Peripheral blood film
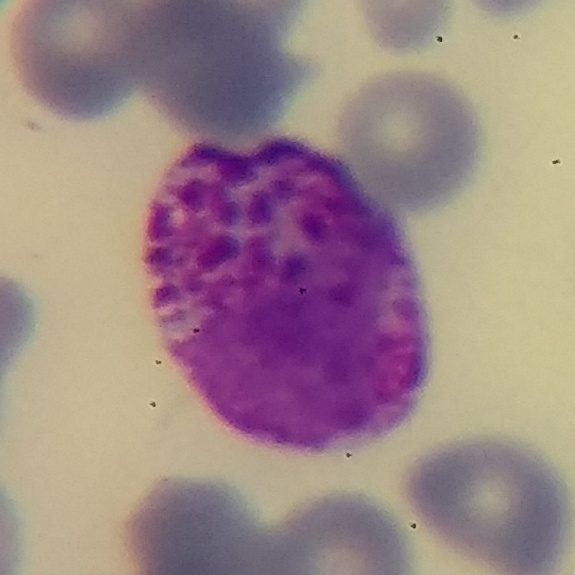
Cell type — basophil.